575×575; peripheral blood film:
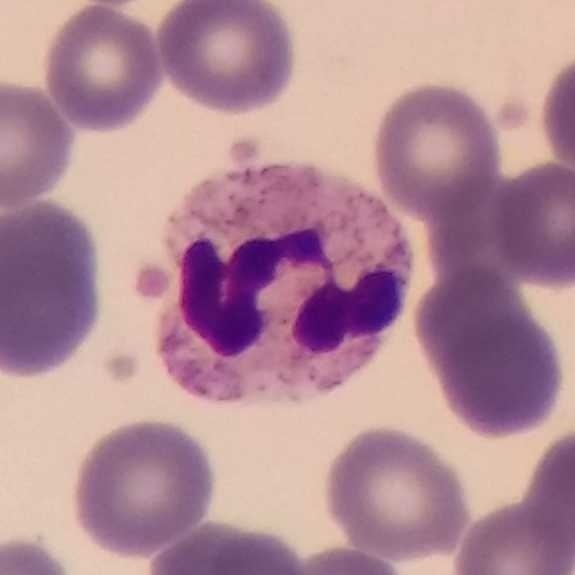

Neutrophil.